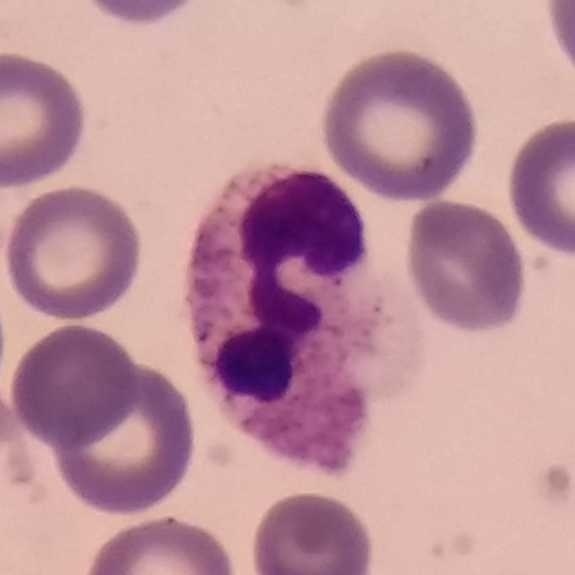
Acquisition: Peripheral blood film.

Morphology consistent with a neutrophil.